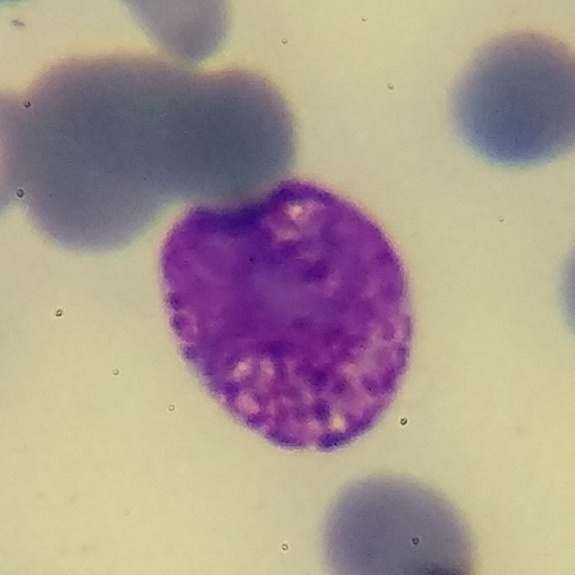

Morphology consistent with a basophilic granulocyte.
Peripheral blood film.